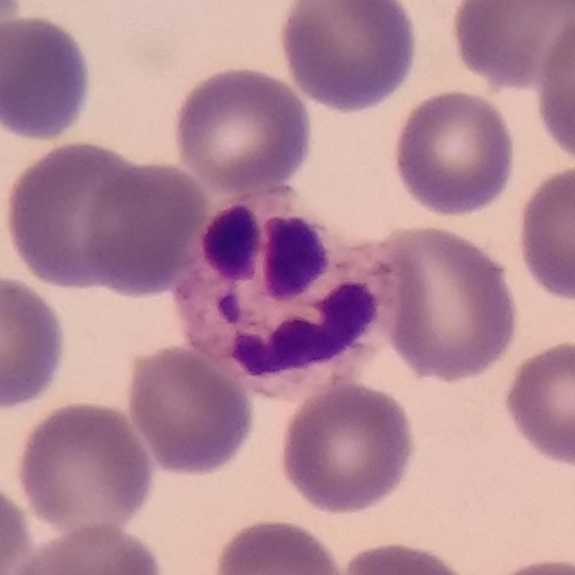
Q: What cell is this?
A: A neutrophilic granulocyte.
Photographed through a light microscope with a smartphone camera · peripheral blood film.